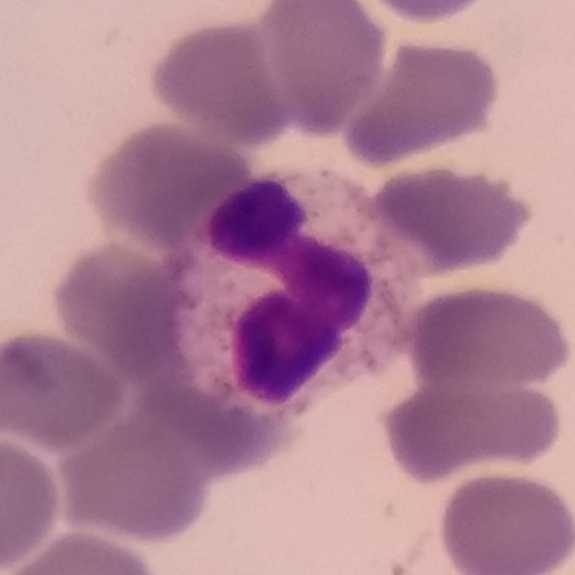

Acquisition: Phone-camera image taken through the microscope ocular · peripheral blood smear.

Q: What cell is this?
A: Neutrophil.